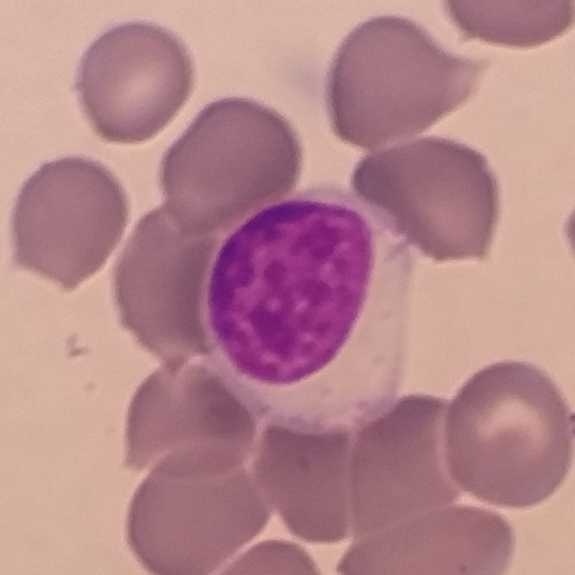Preparation: Peripheral blood smear.
The cell shown is a lymphocyte.